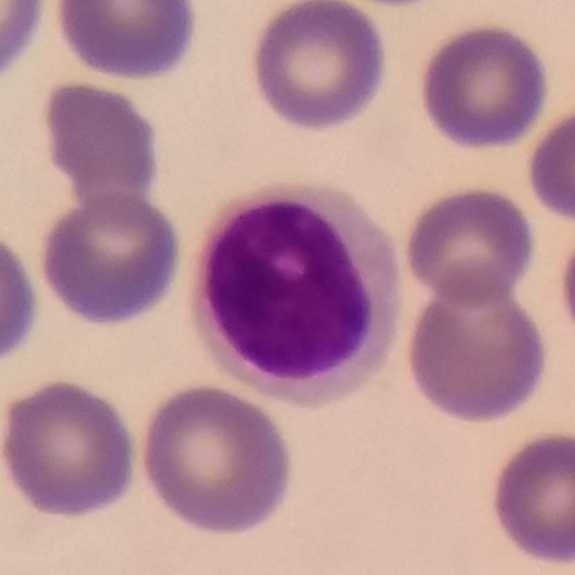Phone-camera image taken through the microscope ocular. Peripheral blood smear.

Classification — lymphocyte.